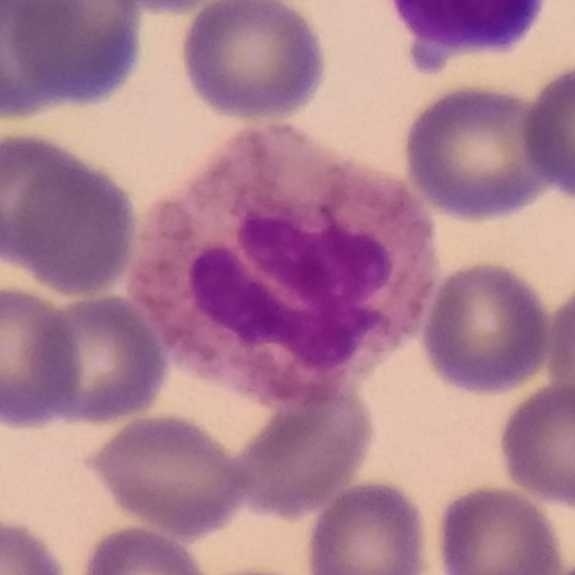 The cell is neutrophil granulocyte.

575 by 575 pixels. Peripheral blood film.